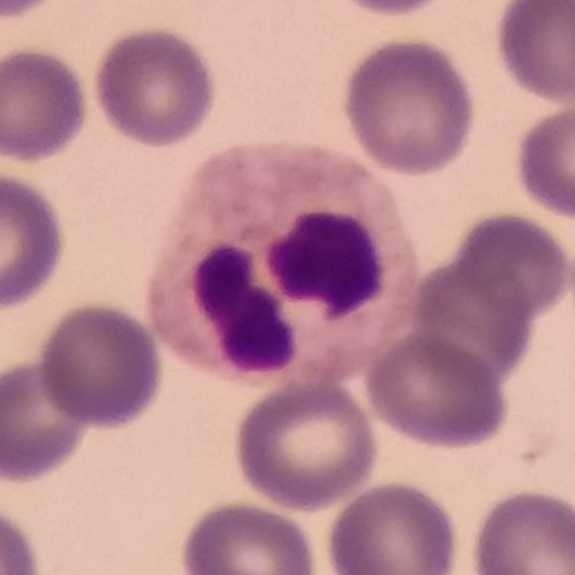
Image: Peripheral blood film.

Showing a neutrophil granulocyte.